575 by 575 pixels. Peripheral blood film.
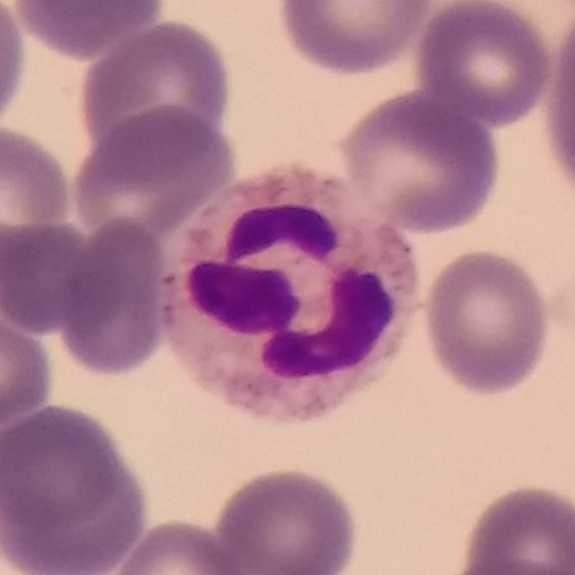

Specimen: peripheral blood film.
Morphological class: neutrophilic granulocyte.
Lineage: myeloid.